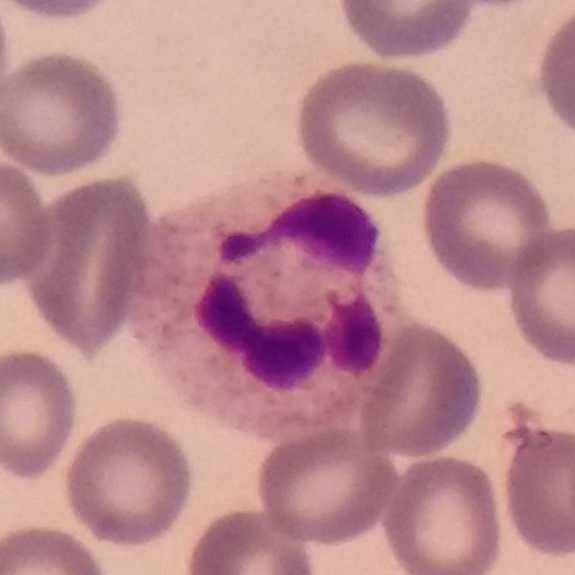Morphological class = neutrophilic granulocyte.